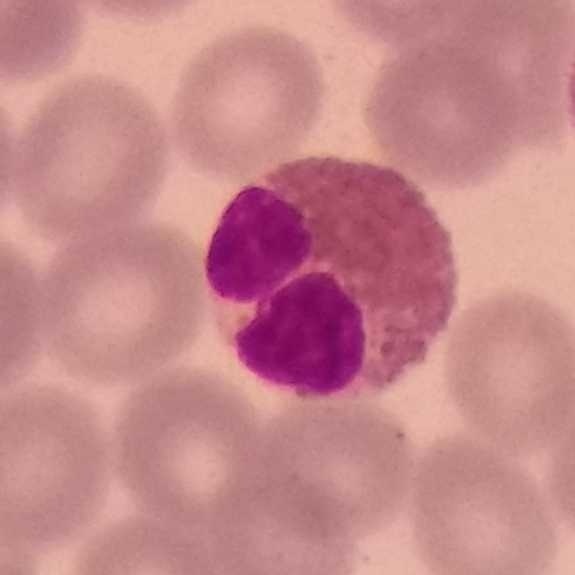
Q: What type of cell is this?
A: An eosinophil.

Image: Peripheral blood smear.